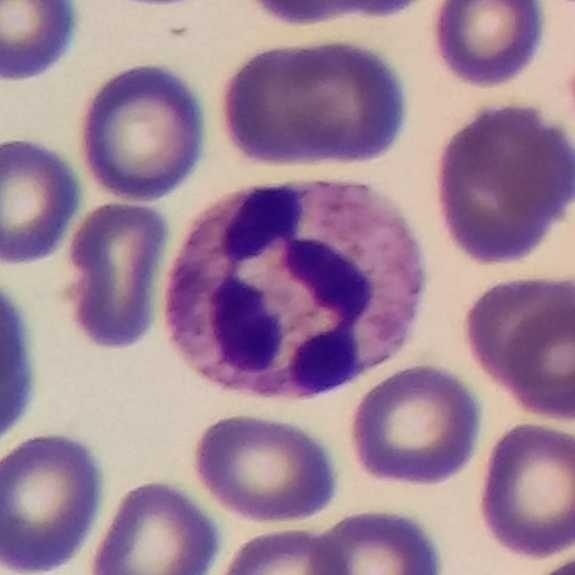

The cell shown is a neutrophilic granulocyte.
Peripheral blood film · smartphone photomicrograph.